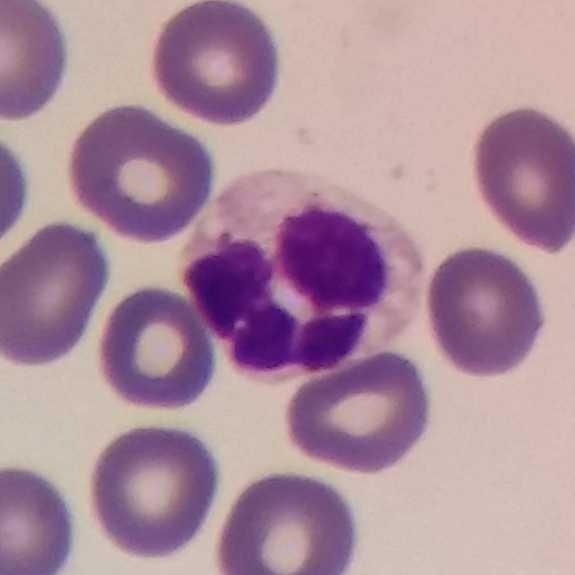Peripheral blood film.
White blood cell type — neutrophil granulocyte.